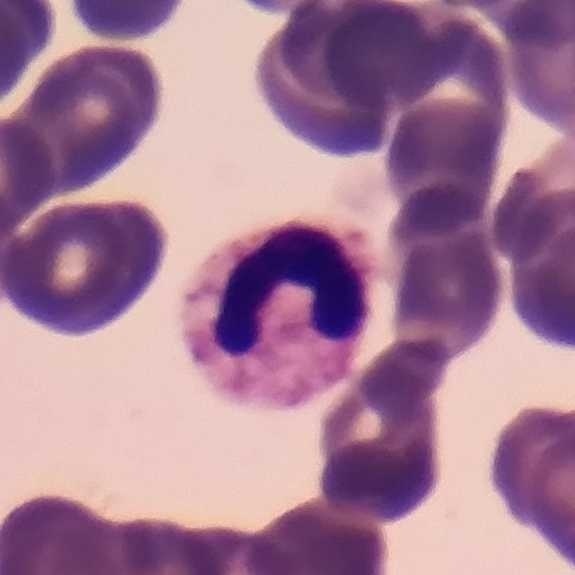
Acquisition: Peripheral blood smear; Giemsa stain; imaged at 100×.

A neutrophil granulocyte.